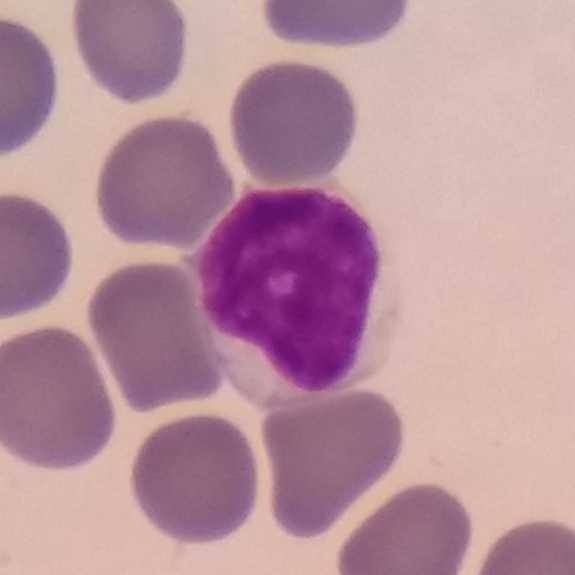 Q: Which type of white blood cell is this?
A: It is a lymphocyte.
Peripheral blood smear.